Cropped to one leukocyte · Giemsa-stained · peripheral blood film:
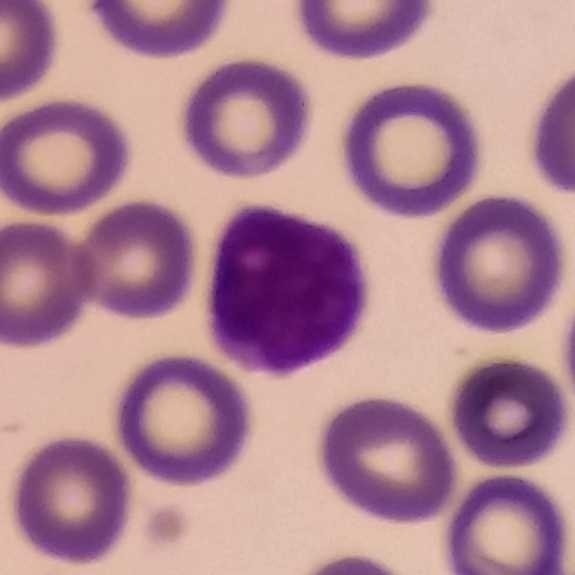Q: Classify this leukocyte.
A: It is a lymphocyte.